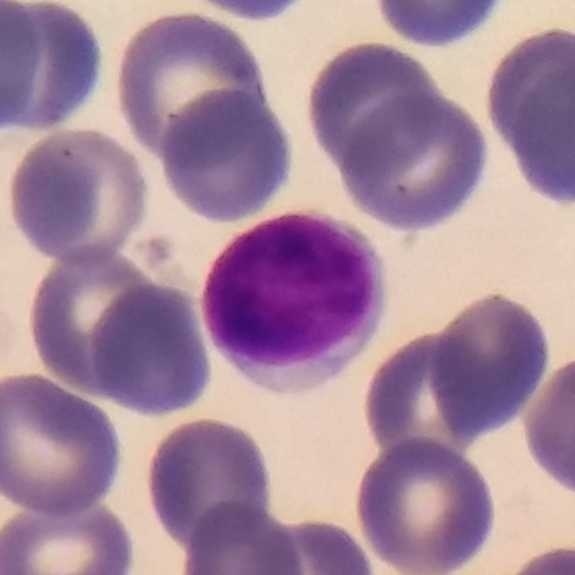Specimen: peripheral blood smear.
White blood cell type: lymphocyte.
Lineage: lymphoid.